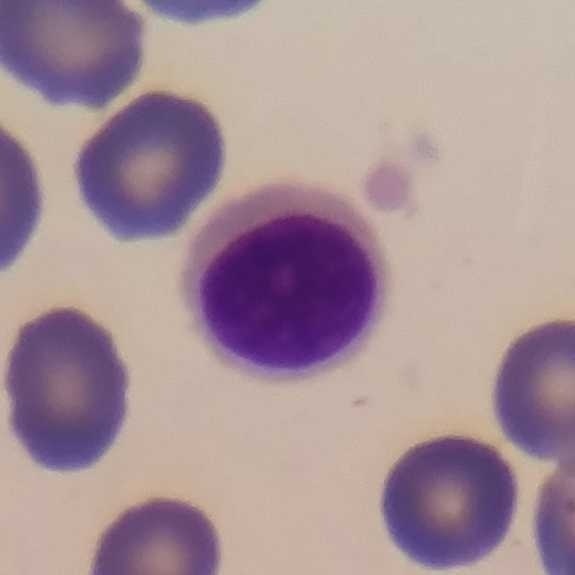 The cell shown is a lymphocyte.
Single white blood cell cropped from the smear photograph · 575×575 px · peripheral blood smear.